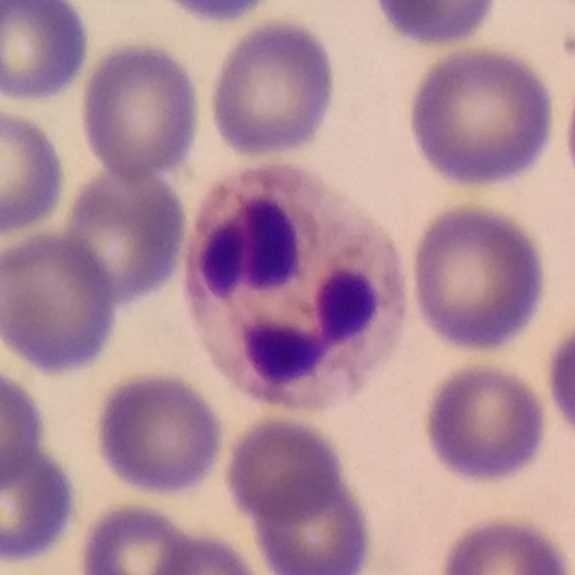
Single white blood cell cropped from the smear photograph; smartphone camera mounted on the microscope eyepiece. Specimen: peripheral blood film.
Cell type: neutrophilic granulocyte.
Lineage: myeloid.